Peripheral blood film. Image size 575×575 — 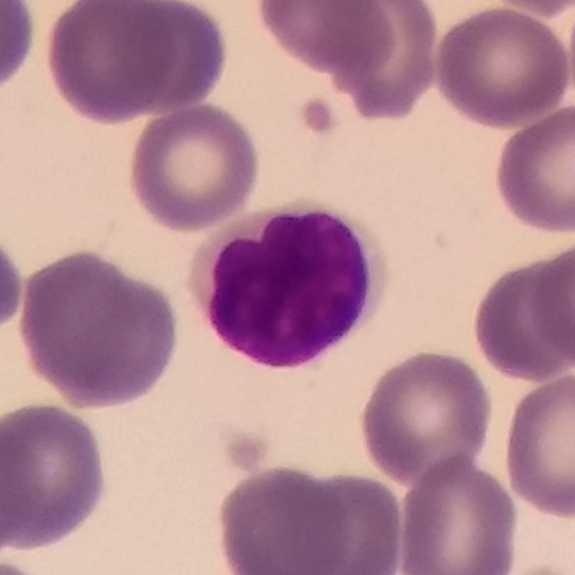
The cell is lymphocyte.